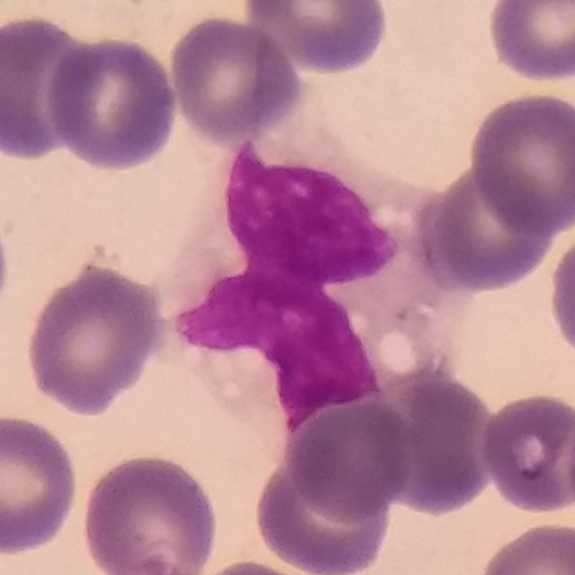

Peripheral blood film, single cell — monocyte.